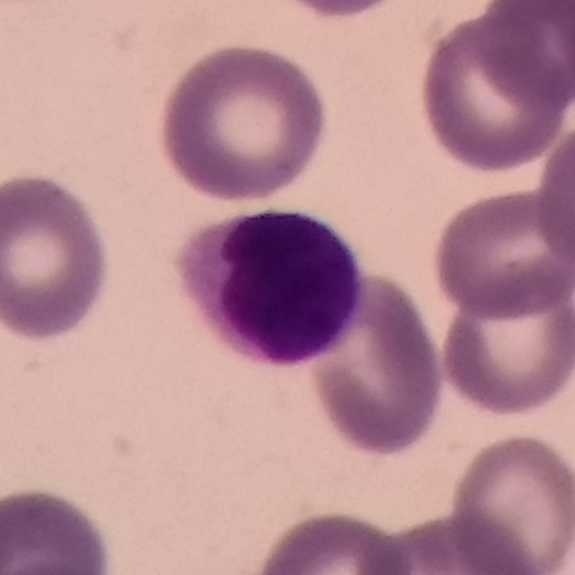

Peripheral blood film · image size 575×575.
The cell type is lymphocyte.